Peripheral blood film.
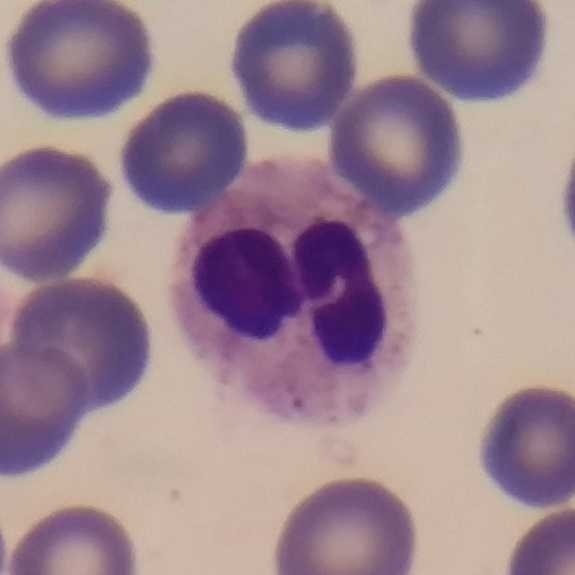
The white blood cell in this image is a neutrophilic granulocyte.